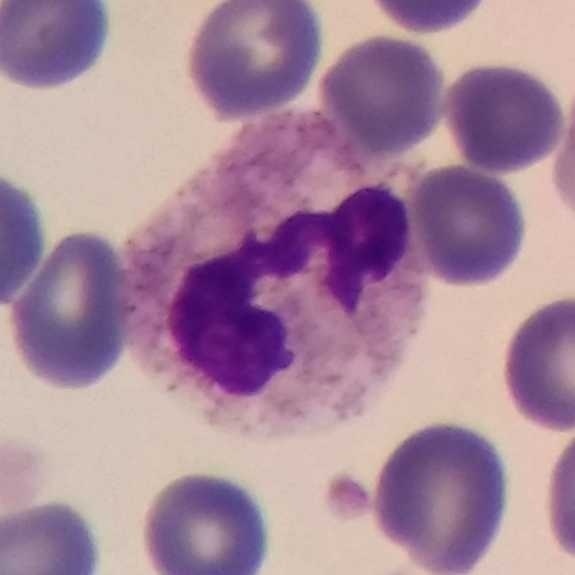
The white blood cell in this image is a neutrophilic granulocyte.

Peripheral blood film · Giemsa stain.